Peripheral blood film — 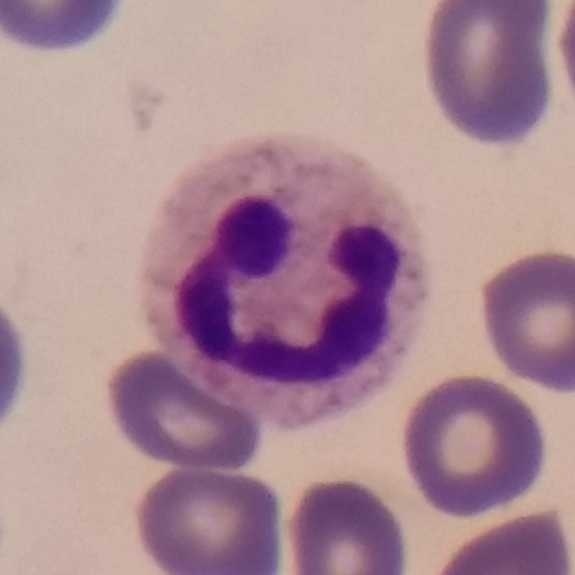

Specimen: peripheral blood smear.
Cell: neutrophil granulocyte.
Lineage: myeloid.